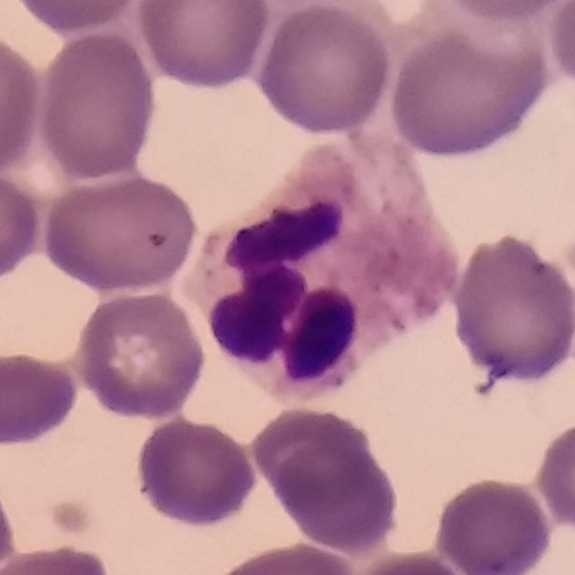 Cell = neutrophil granulocyte.